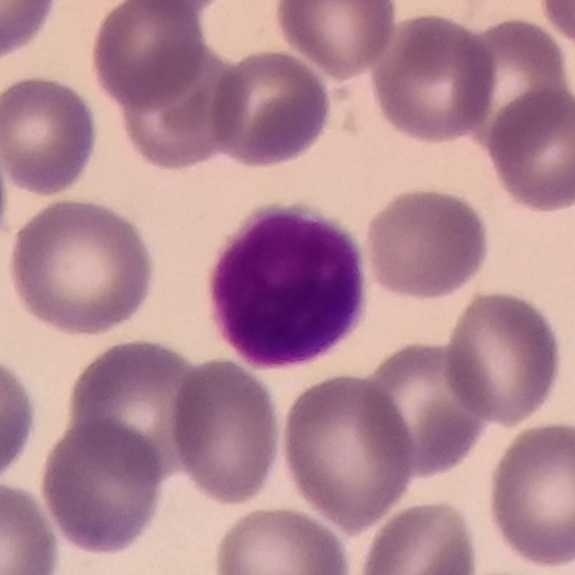 Impression → lymphocyte.